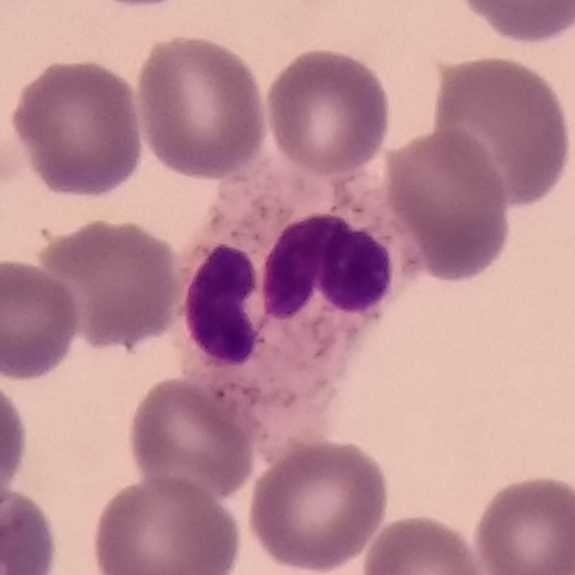
Morphology — neutrophilic granulocyte.